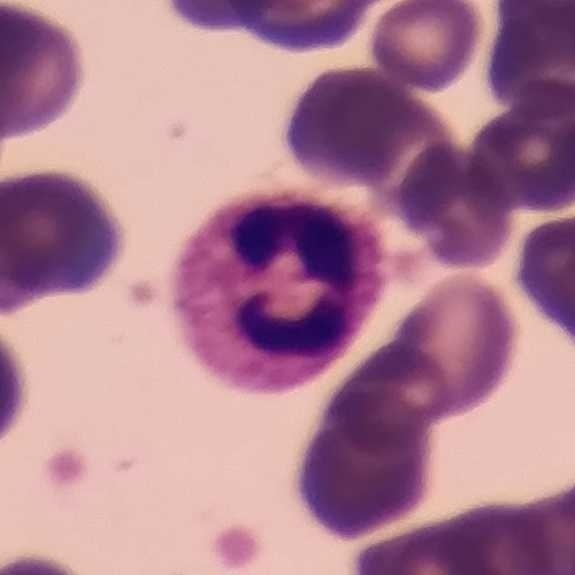Specimen: peripheral blood smear.
Classification: neutrophilic granulocyte.